Peripheral blood smear: 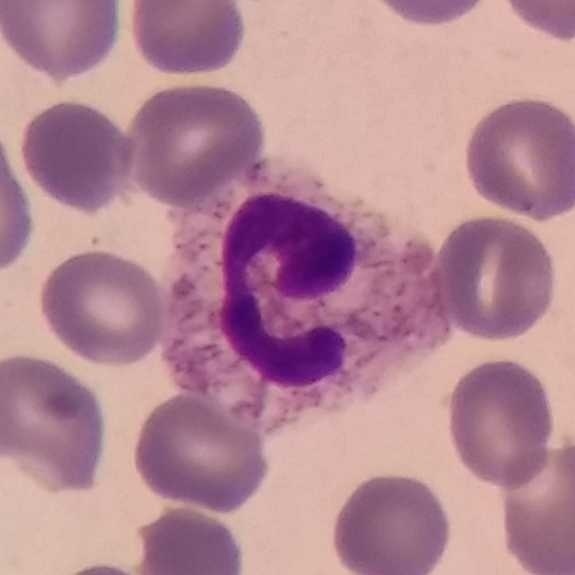Impression — neutrophil.